Peripheral blood film
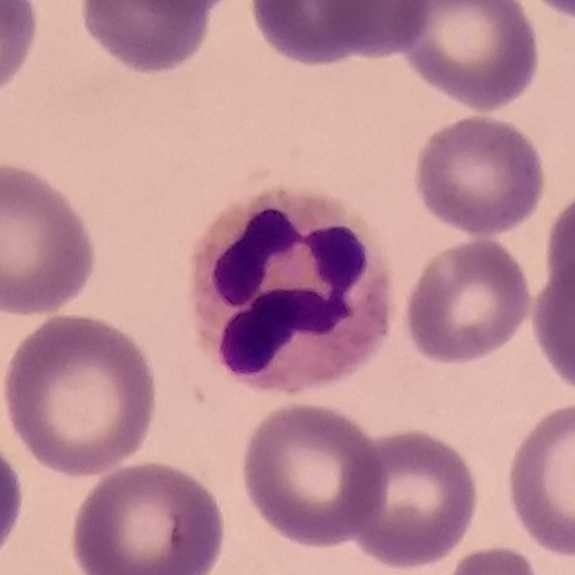
Identified as a neutrophil.